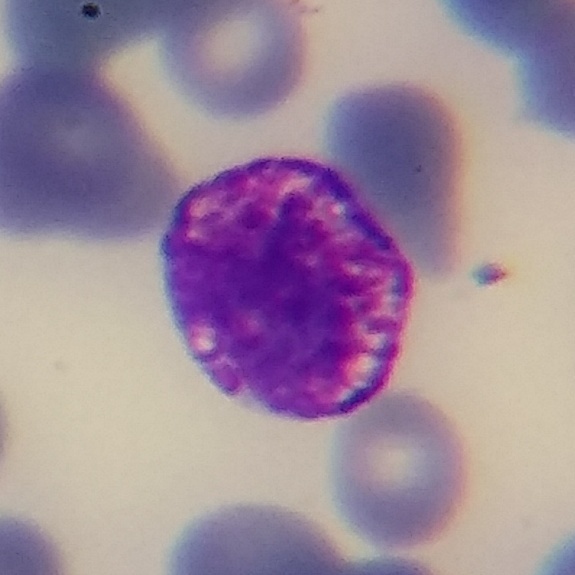 Image: Single-cell crop; peripheral blood smear; Giemsa-stained. Morphological class: basophil.